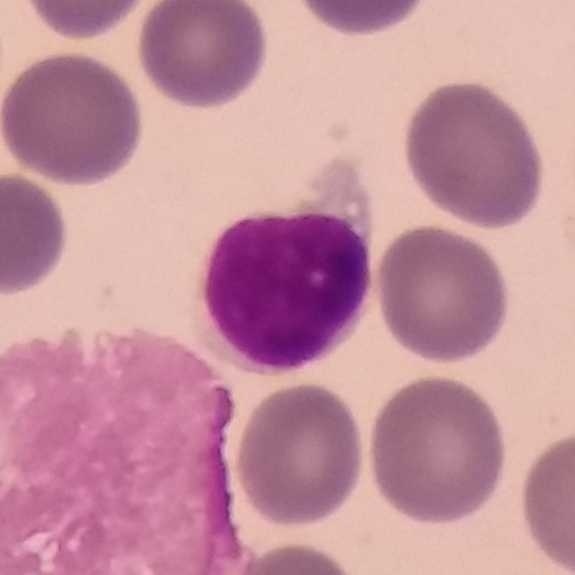 From a peripheral blood smear: a lymphocyte.